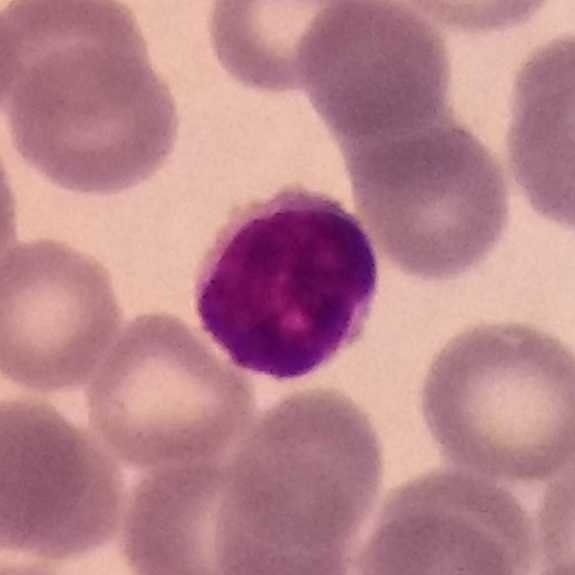Peripheral blood smear. Q: What type of cell is this?
A: A lymphocyte.